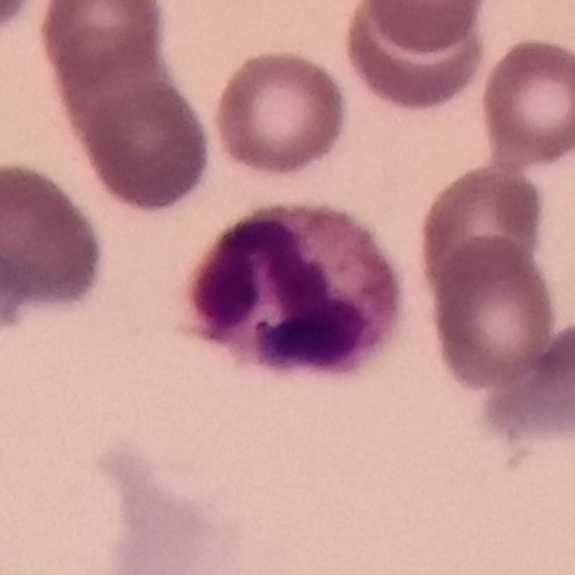The cell shown is a neutrophilic granulocyte. Image size 575×575. Peripheral blood film. 100× magnification.